Peripheral blood film — 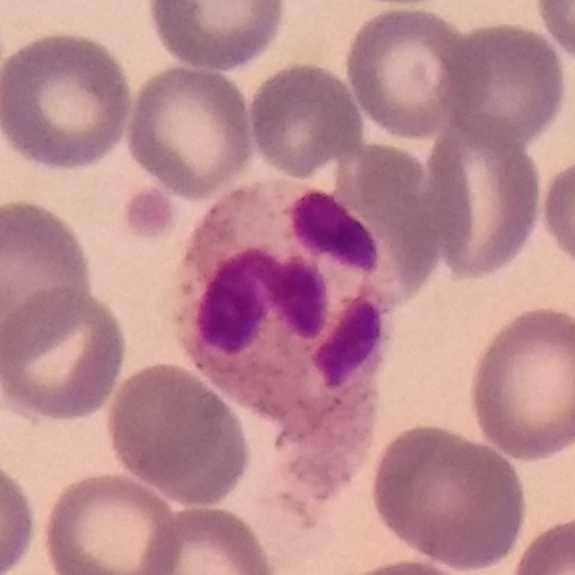White blood cell type = neutrophil.